Image size 575×575. Giemsa-stained. Peripheral blood smear:
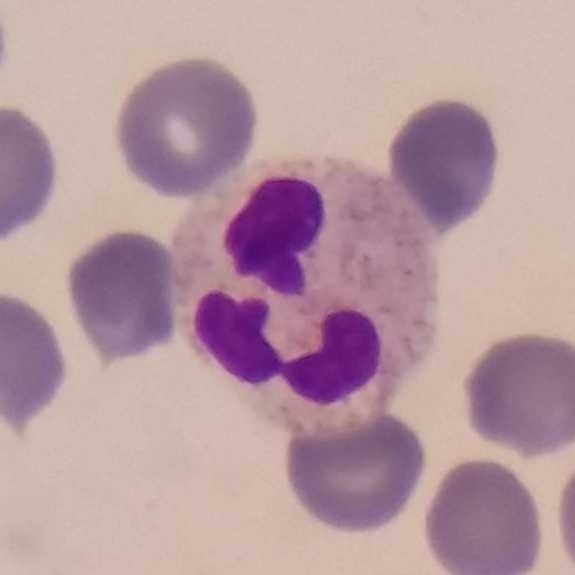
Morphology consistent with a neutrophilic granulocyte.